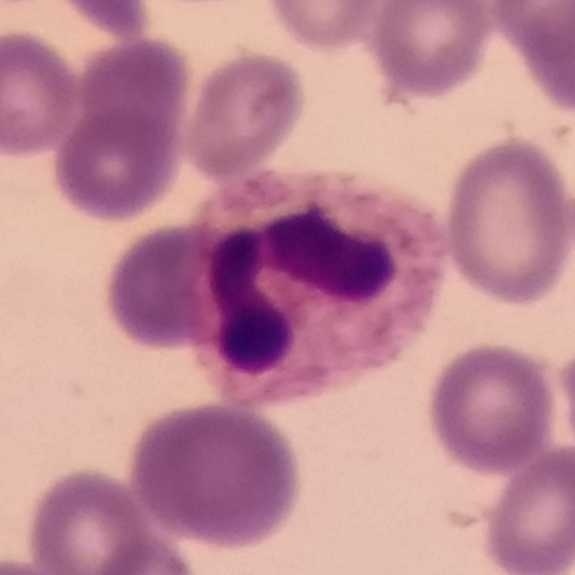
Preparation: Peripheral blood film. Cell type: neutrophil.